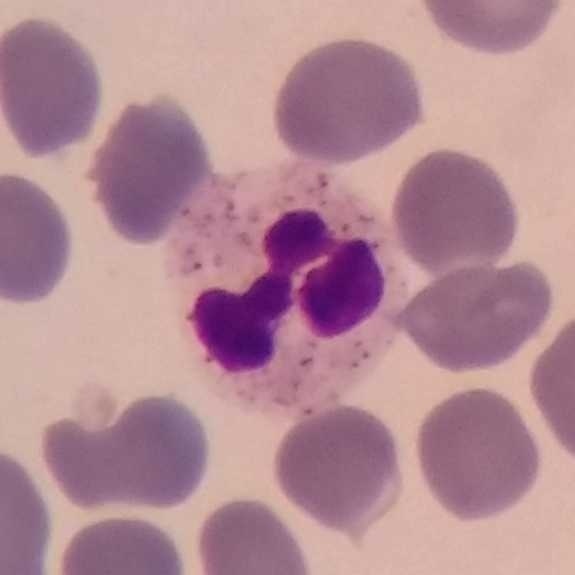

Single cell identified as a neutrophil.